Peripheral blood film — 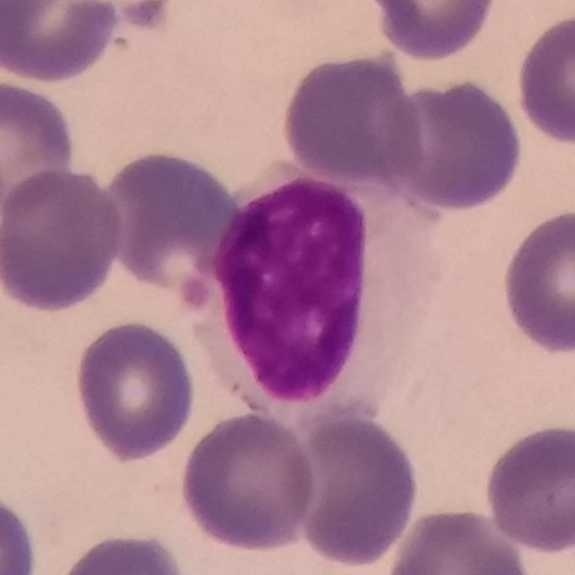
Showing a lymphocyte.